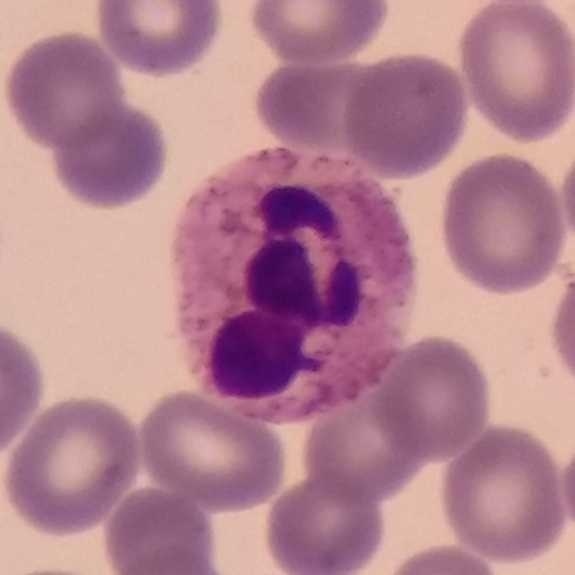
The cell type is neutrophilic granulocyte.